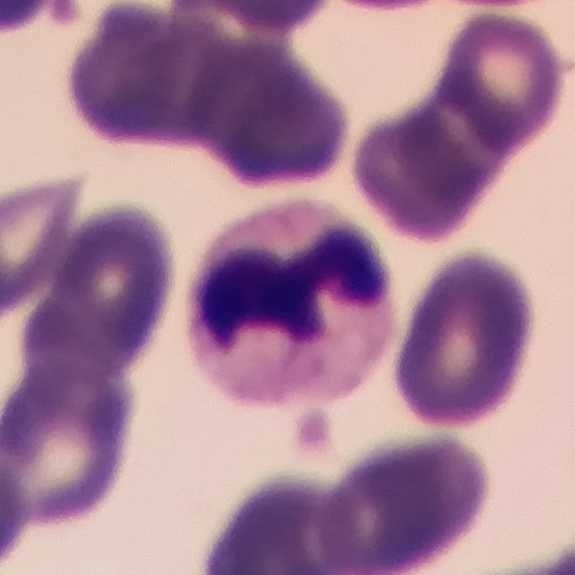

Peripheral blood film; 100× magnification; single-cell field.

The white blood cell in this image is a neutrophil granulocyte.